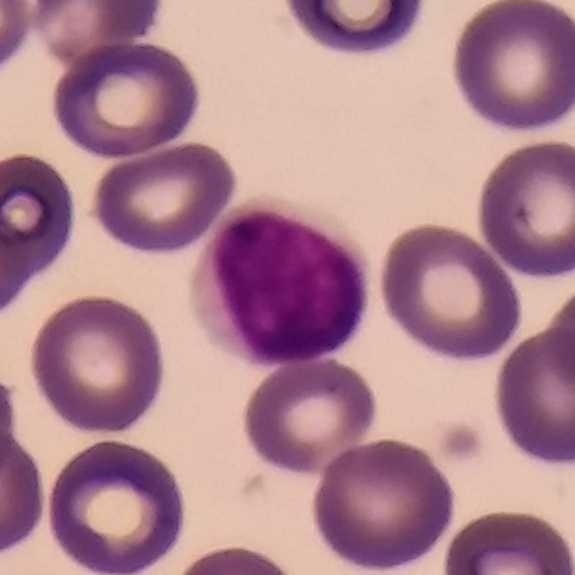Preparation: Peripheral blood smear.

This is a lymphocyte.